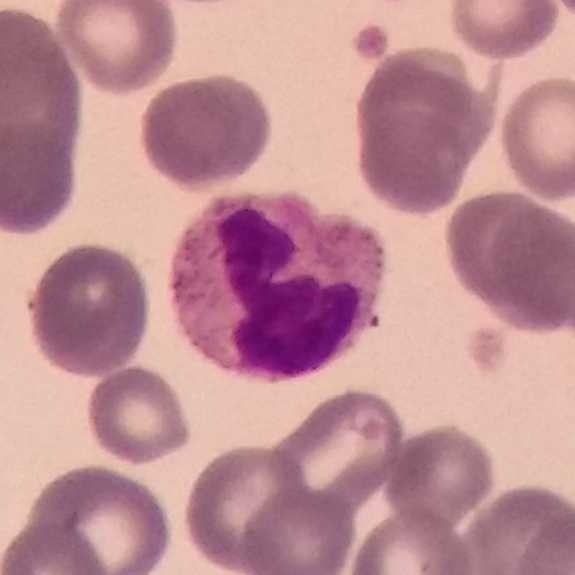 Acquisition: Peripheral blood film. Giemsa-stained. Single-cell crop.
This is a neutrophil.